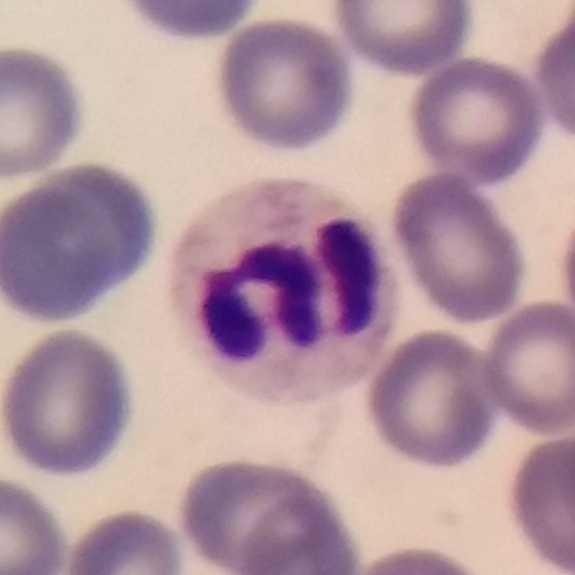

{"cell_type": "neutrophil granulocyte", "lineage": "myeloid"}